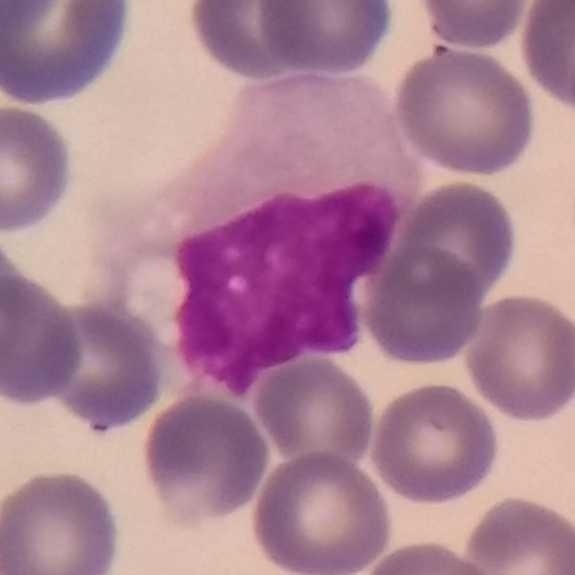 Acquisition: Stained with Giemsa. Peripheral blood smear. Morphological class — monocyte.